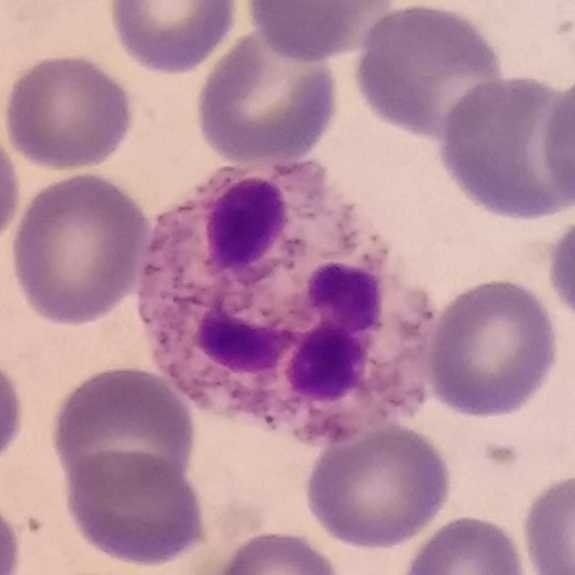

Image: Peripheral blood smear.
Classification = neutrophilic granulocyte.